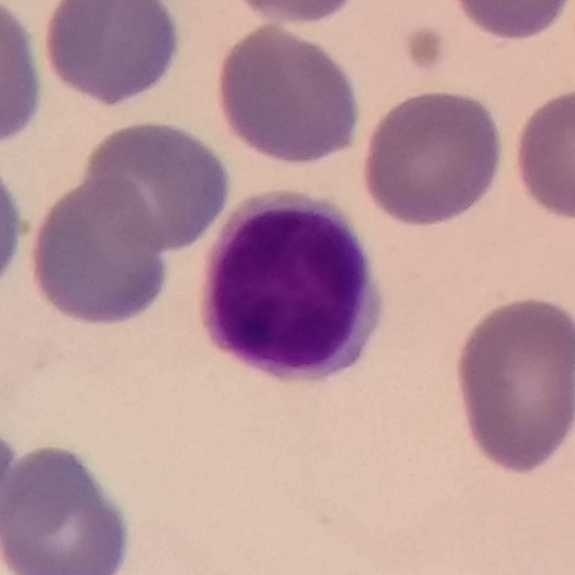 Image: Peripheral blood smear.
Q: What cell is this?
A: This is a lymphocyte.